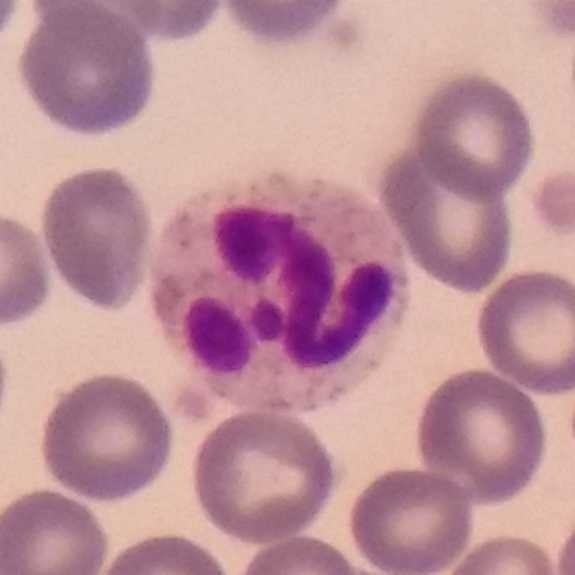
Acquisition: 575×575 · peripheral blood smear.
This is a neutrophilic granulocyte.